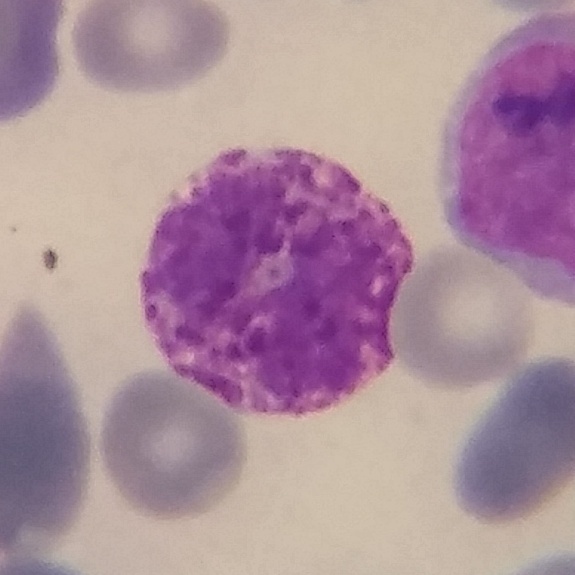This is a basophil. Image: Peripheral blood film; phone-camera image taken through the microscope ocular; 575×575.